Peripheral blood smear
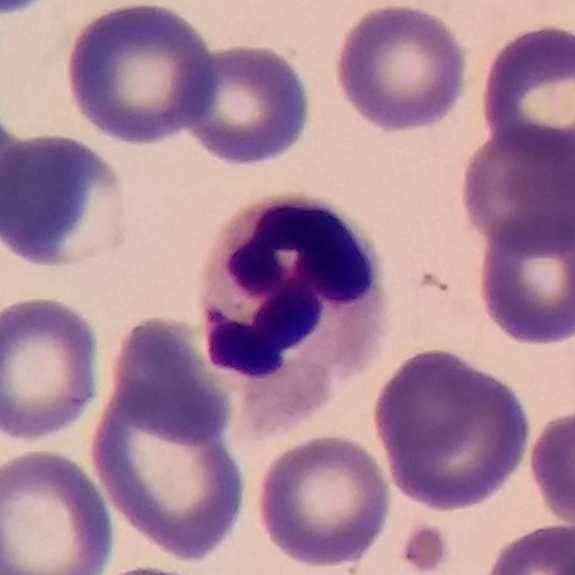 Impression → neutrophil.